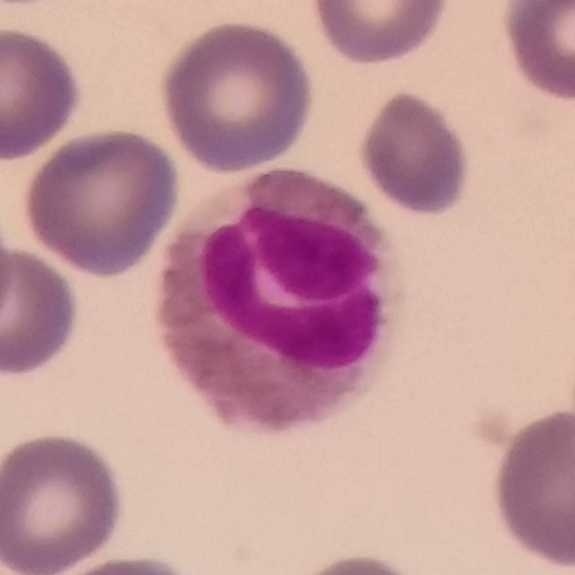
{"cell_type": "eosinophilic granulocyte", "lineage": "myeloid"}